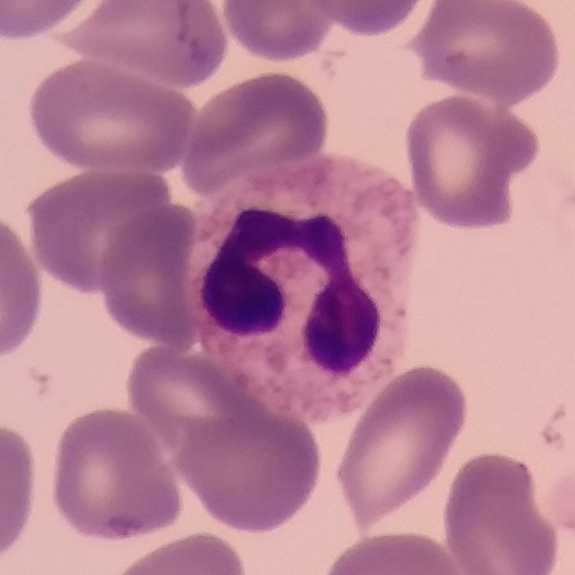
Neutrophil granulocyte. Peripheral blood film · smartphone photomicrograph.